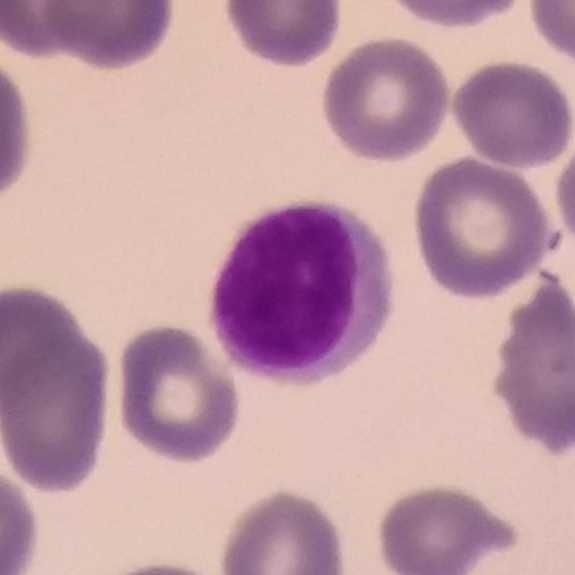The morphological class is lymphocyte.
Peripheral blood film.